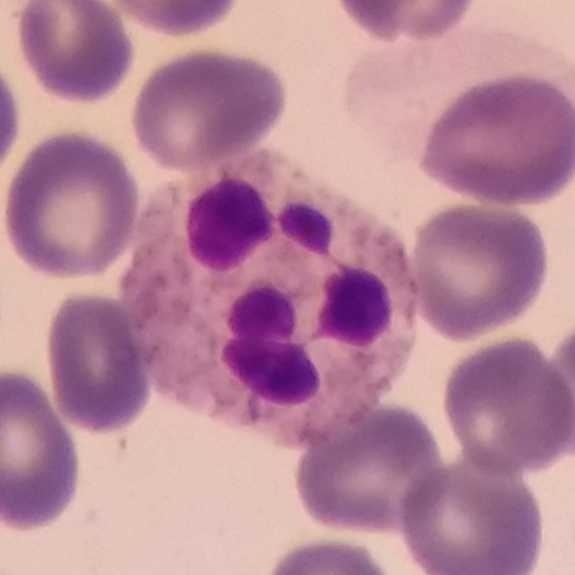 Cell — neutrophil granulocyte.